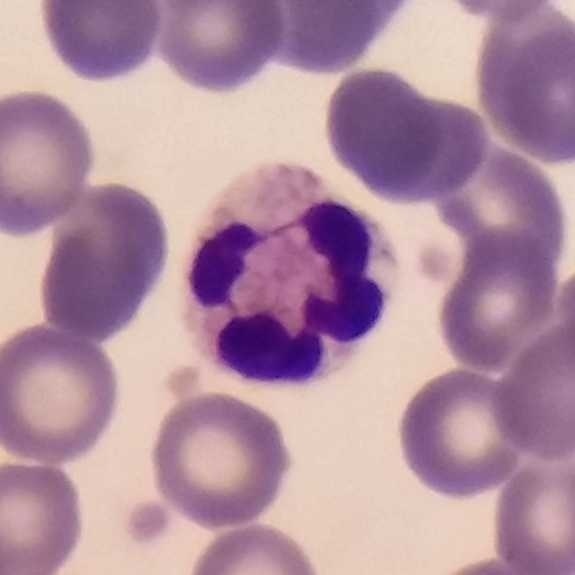

Context: Peripheral blood smear · Giemsa stain · 575 by 575 pixels.
{"cell_type": "neutrophil", "lineage": "myeloid"}